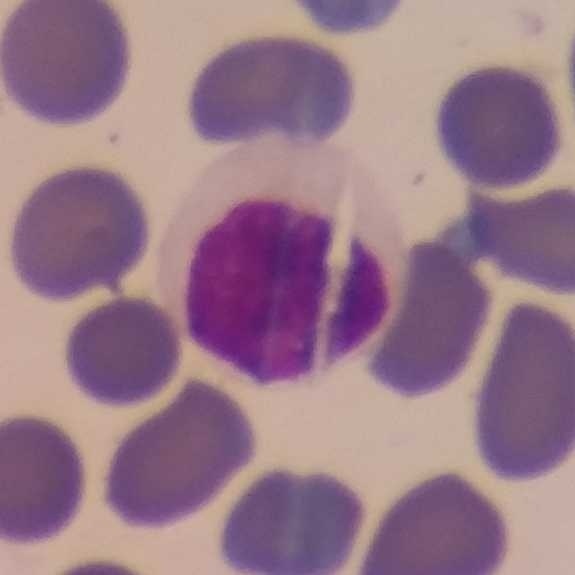Cell type = lymphocyte.
Preparation: Peripheral blood smear.